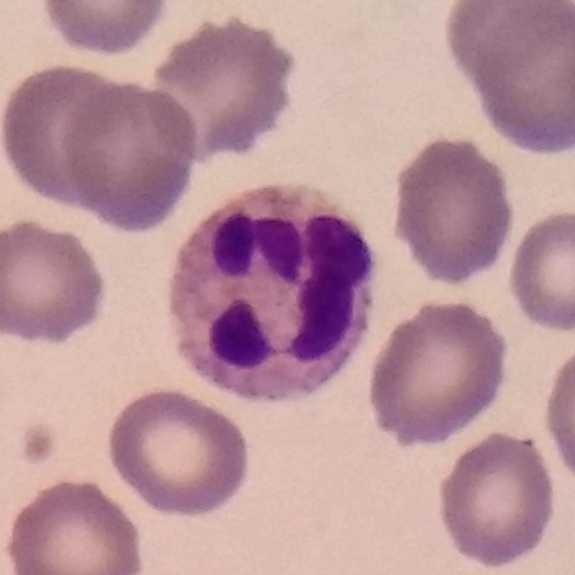

Specimen: peripheral blood smear.
Cell: neutrophil.
Lineage: myeloid.

Stained with Giemsa.